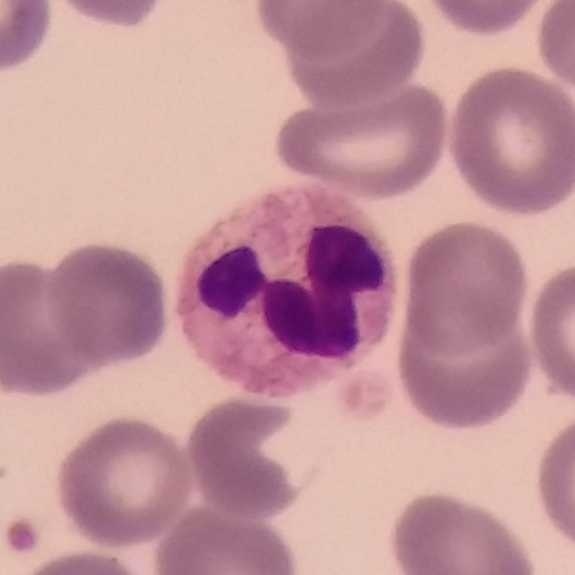 Image: Peripheral blood smear.

Single cell identified as a neutrophilic granulocyte.